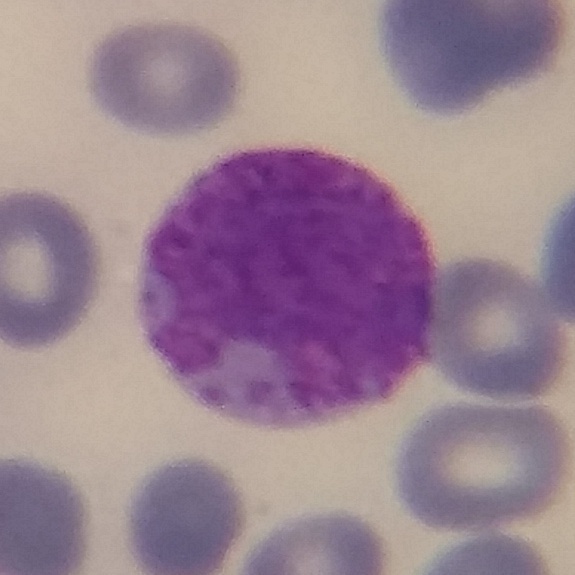 A basophil.
Peripheral blood film. 575×575. Magnification 100×.